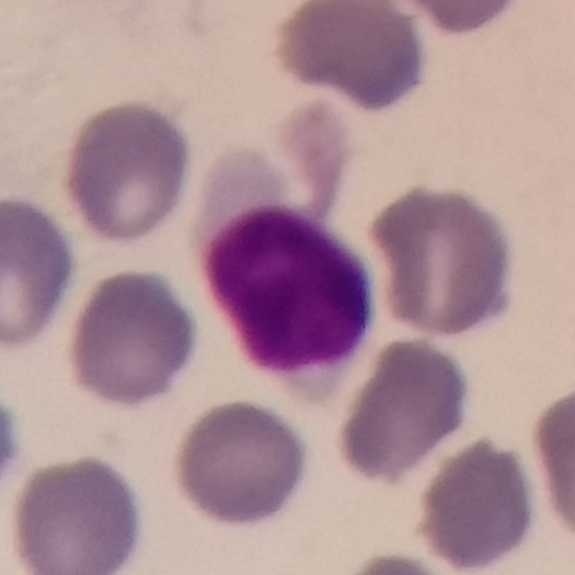
Peripheral blood smear showing a lymphocyte.